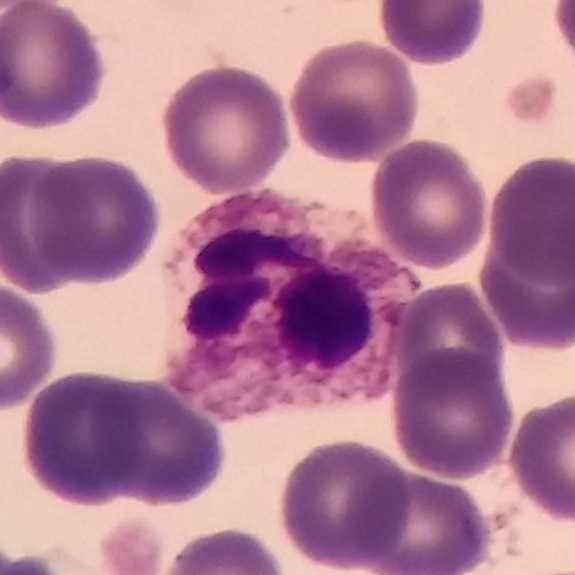 Impression — neutrophil.

Acquisition: Peripheral blood smear.